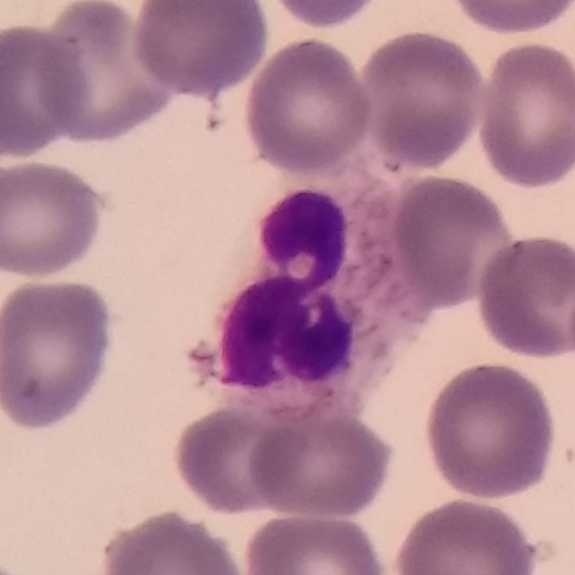
The cell shown is a neutrophil. Acquisition: Peripheral blood film; Giemsa-stained.